Peripheral blood smear
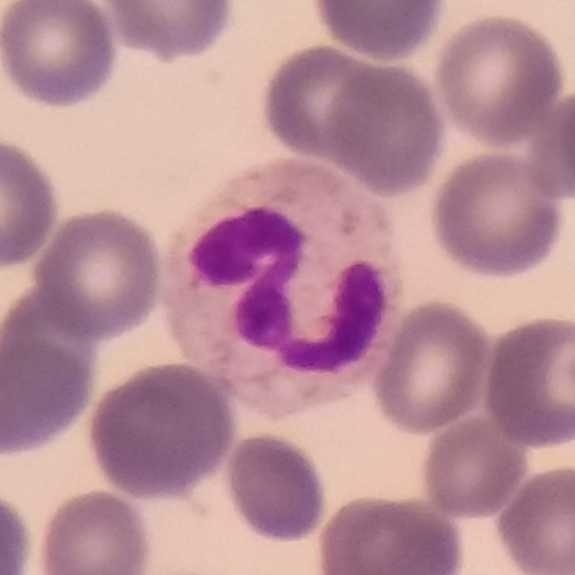
Single cell identified as a neutrophil.